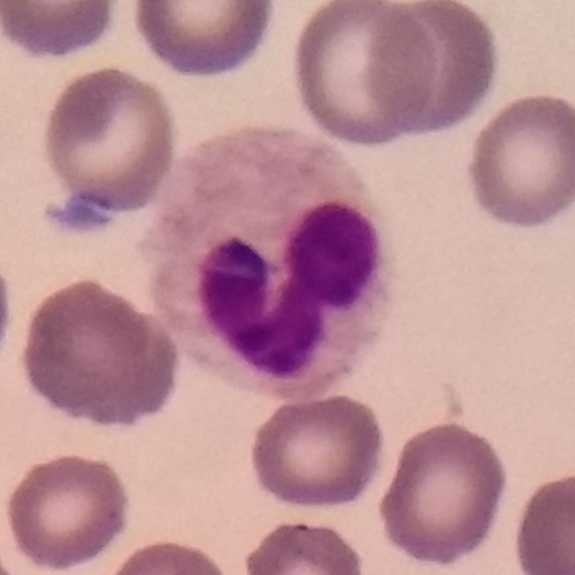

Q: What is shown here?
A: Neutrophil granulocyte.

Acquisition: Peripheral blood film · 100× magnification · Giemsa-stained.